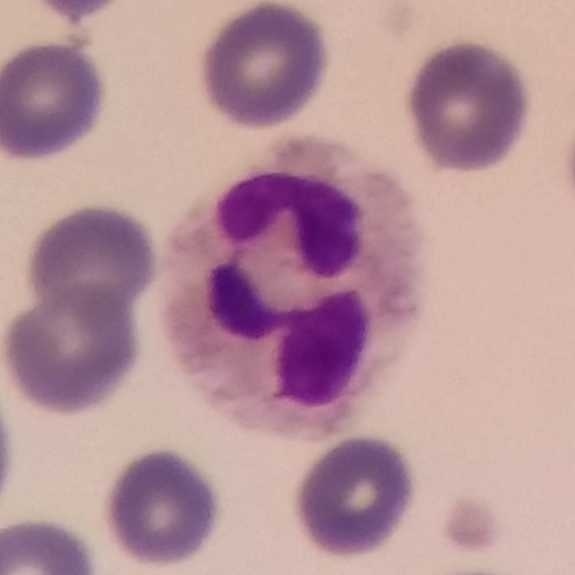The white blood cell in this image is a neutrophil.

Context: Peripheral blood film.